Single-cell crop · peripheral blood film — 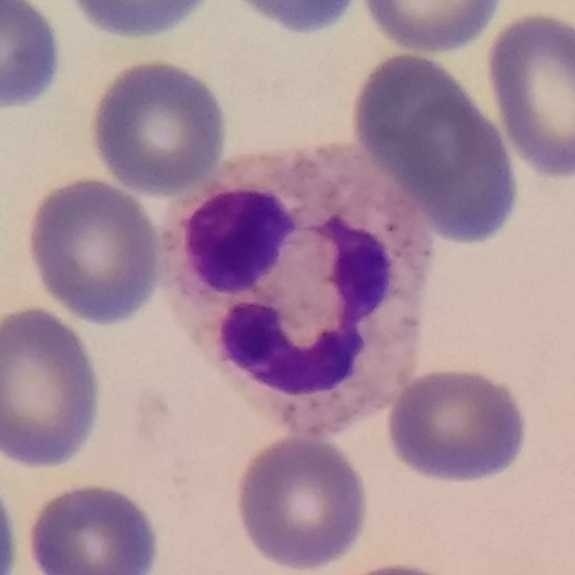
Morphology consistent with a neutrophil.